Peripheral blood film — 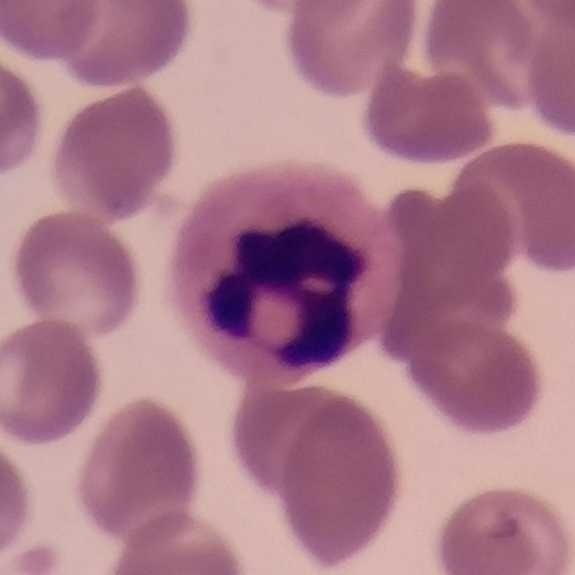 Classification: neutrophil.